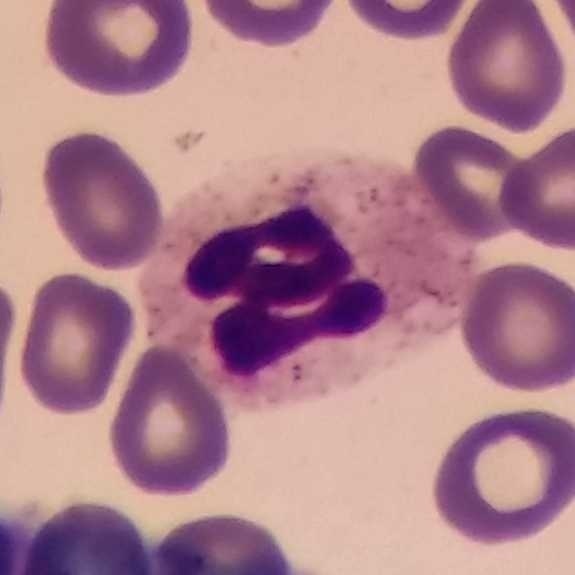Image: Peripheral blood film. Single cell identified as a neutrophil.